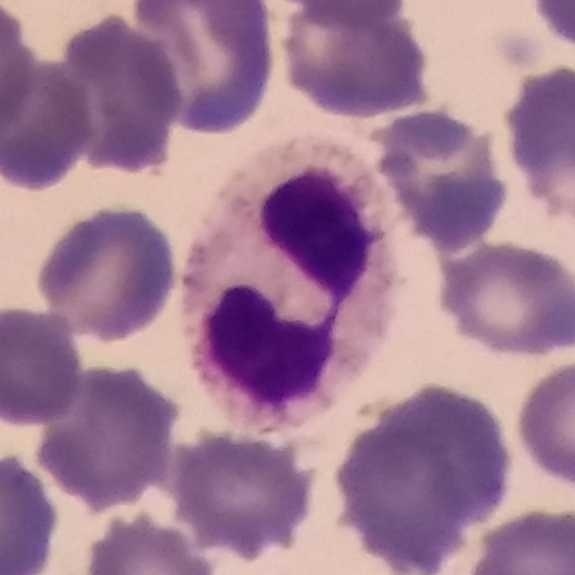

Specimen: peripheral blood smear.
Cell: neutrophil granulocyte.
Lineage: myeloid.